Magnification 100×. Peripheral blood smear. 575×575 px.
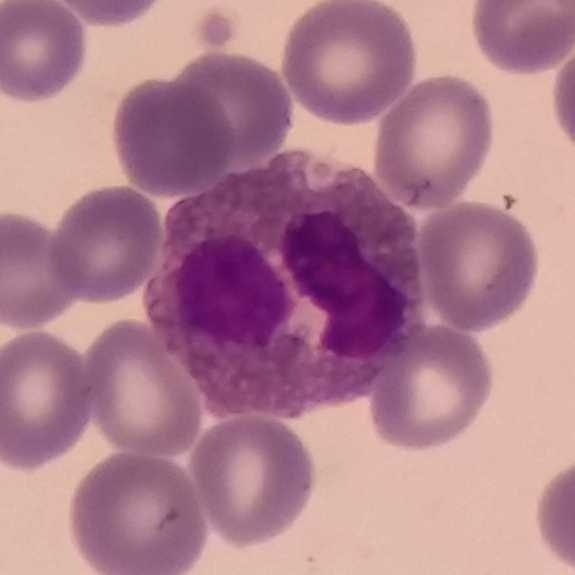 Morphological class — eosinophilic granulocyte.